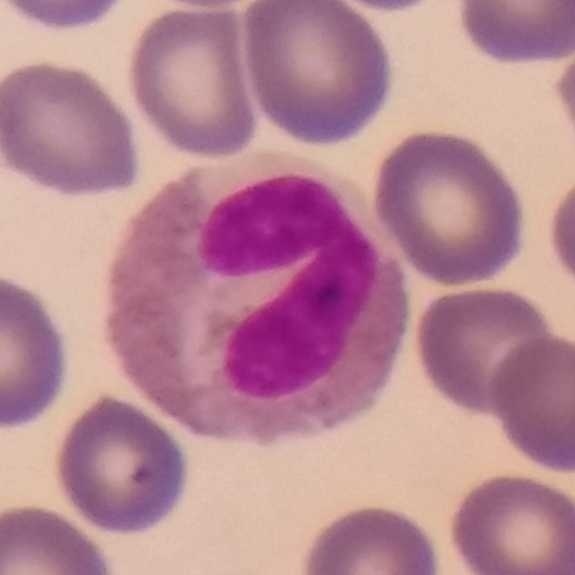Giemsa stain; peripheral blood film; single white blood cell cropped from the smear photograph.
{"cell_type": "eosinophilic granulocyte"}